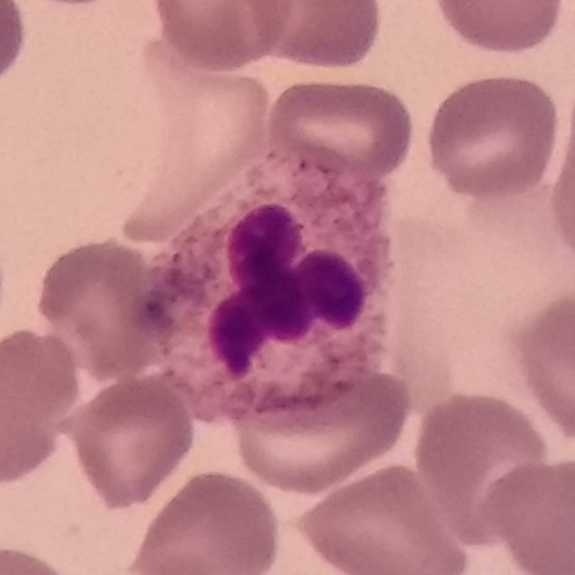
The cell type is neutrophil granulocyte.

Peripheral blood smear; phone-camera image taken through the microscope ocular.